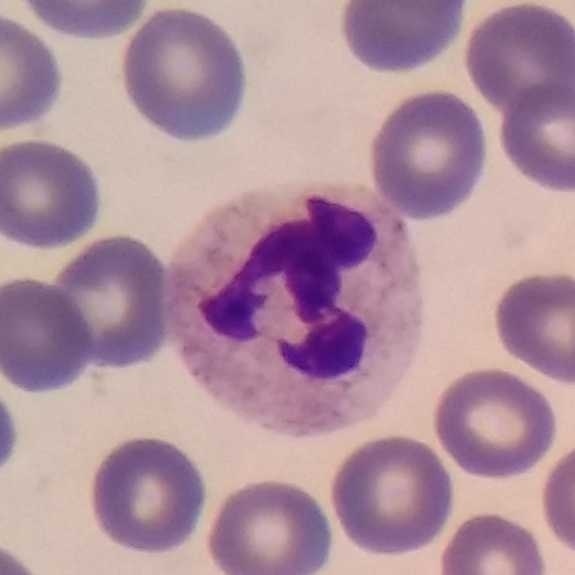The morphological class is neutrophil.
Peripheral blood film.